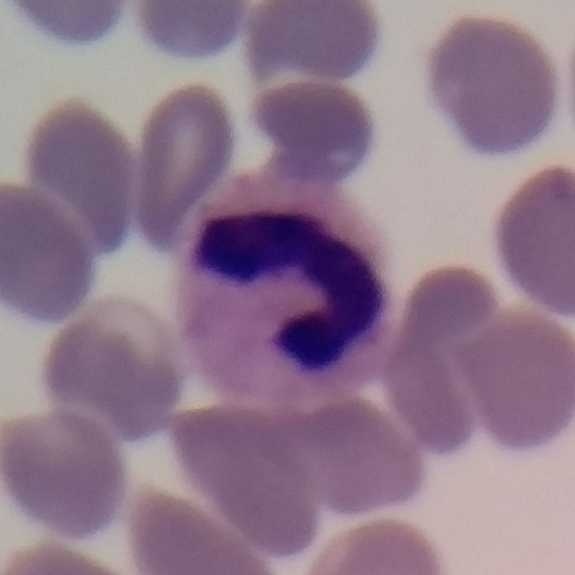Morphological class = neutrophil granulocyte.